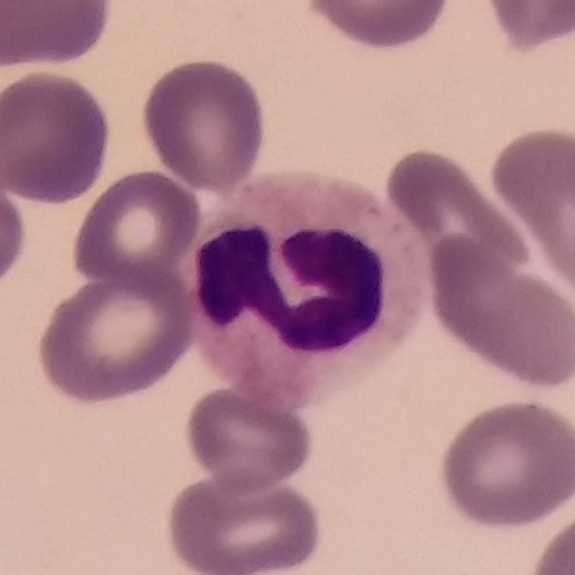 Morphology — neutrophilic granulocyte.
Image: Peripheral blood smear.